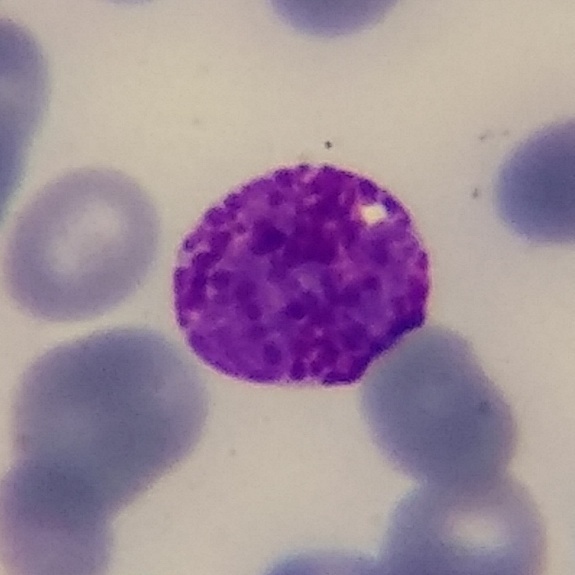
Cell type = basophilic granulocyte. Context: Giemsa-stained; 100× magnification; peripheral blood smear.